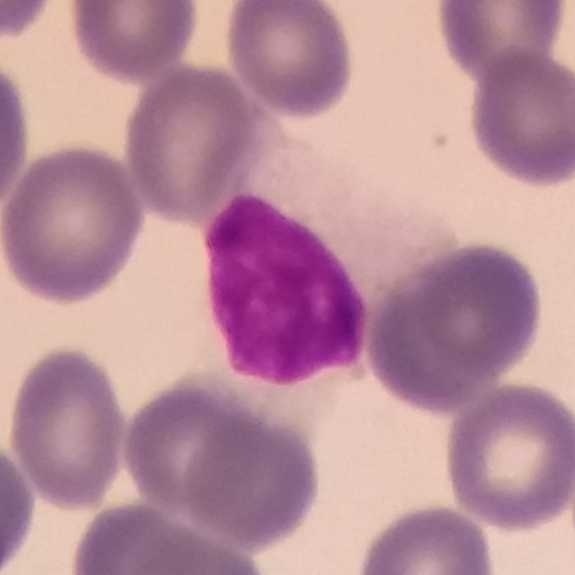
Specimen: peripheral blood smear.
Cell type: lymphocyte.
Lineage: lymphoid.